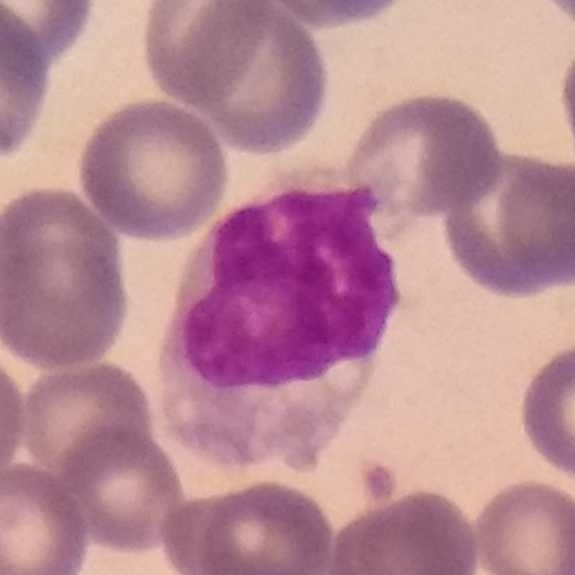Acquisition: Peripheral blood film.

Cell: monocyte.